Peripheral blood film:
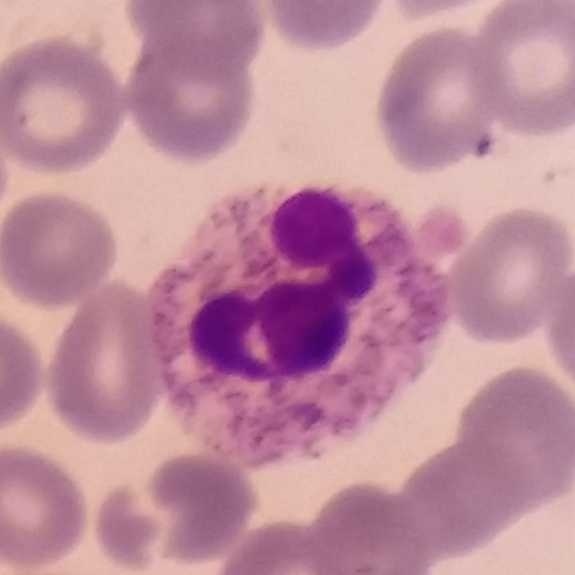

White blood cell type — neutrophil granulocyte.